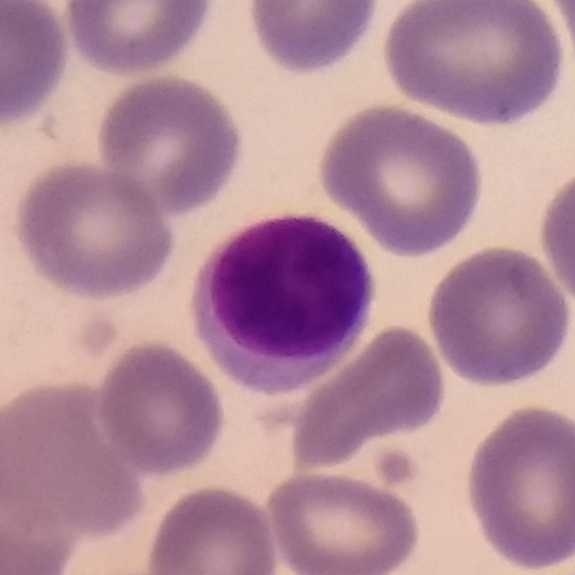
Impression → lymphocyte.